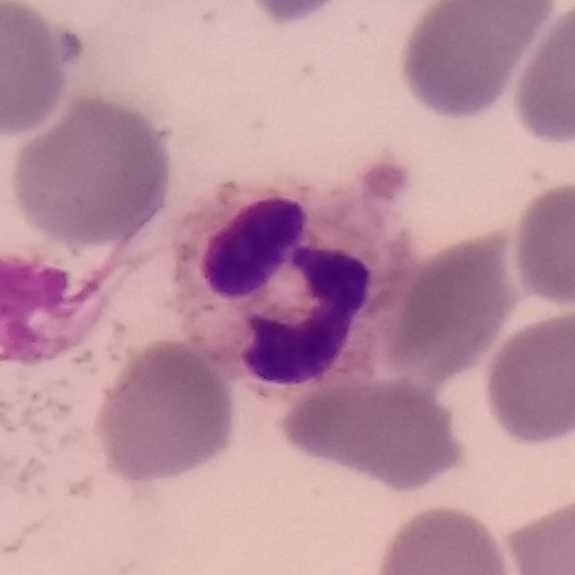
Preparation: Peripheral blood smear; 575×575 px.

{"cell_type": "neutrophil"}